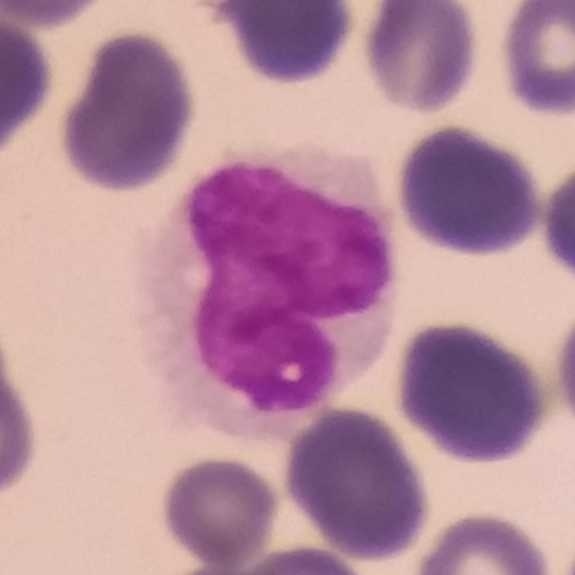Cell type — monocyte. Peripheral blood film.